Peripheral blood smear; 575 by 575 pixels
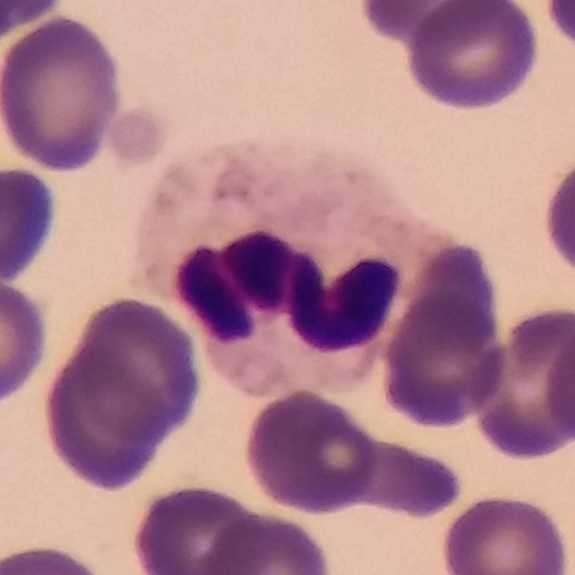 A neutrophil granulocyte.